Peripheral blood film — 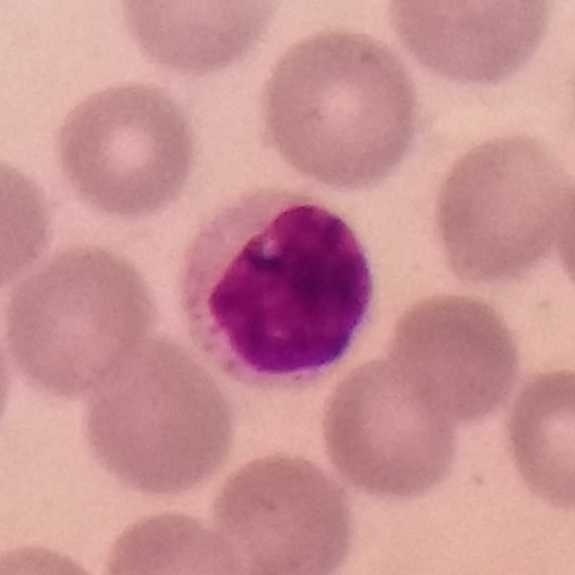{"cell_type": "lymphocyte", "lineage": "lymphoid"}